Peripheral blood film: 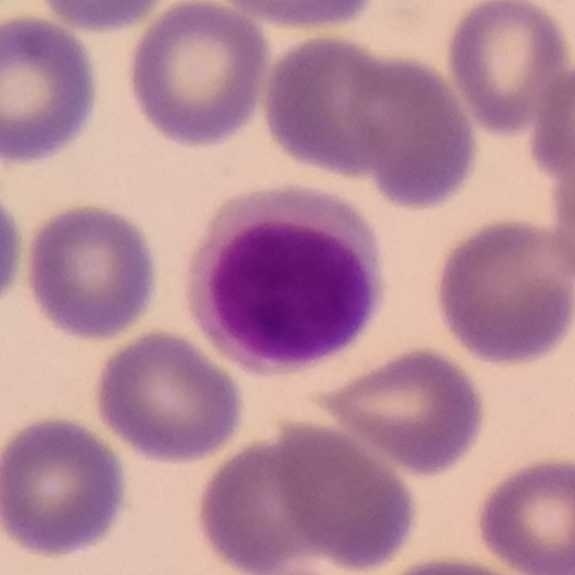

Impression → lymphocyte.